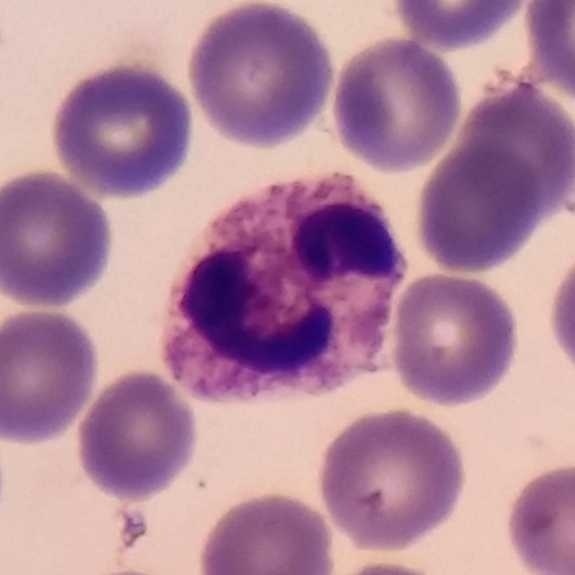Specimen: peripheral blood film.
Morphological class: neutrophil.
Lineage: myeloid.

Context: Stained with Giemsa · 575 by 575 pixels.